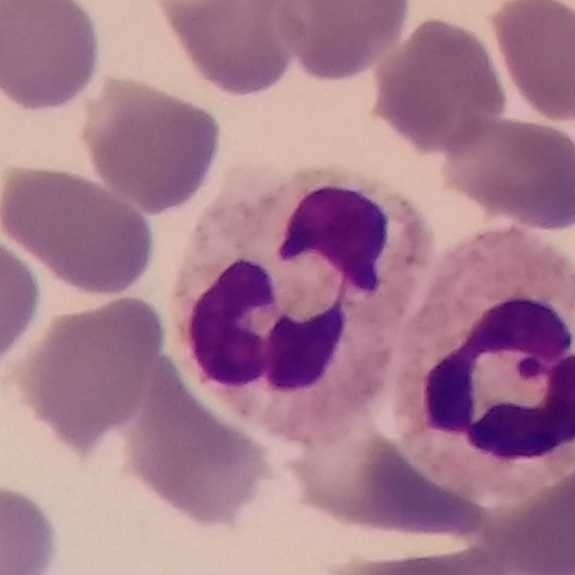

Q: What is the morphological classification of this cell?
A: It is a neutrophil granulocyte.